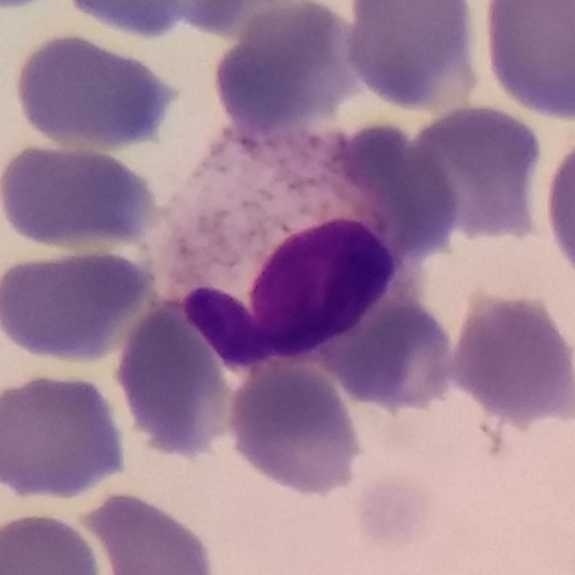

Q: Which type of white blood cell is this?
A: It is a neutrophil.